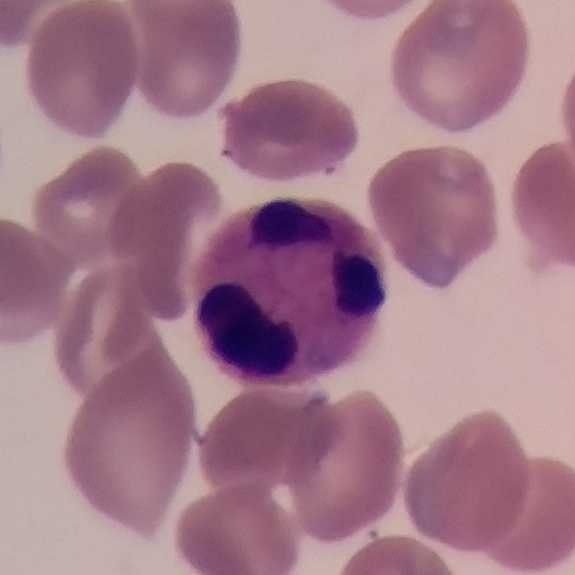
Morphology → neutrophil. Acquisition: Peripheral blood film.